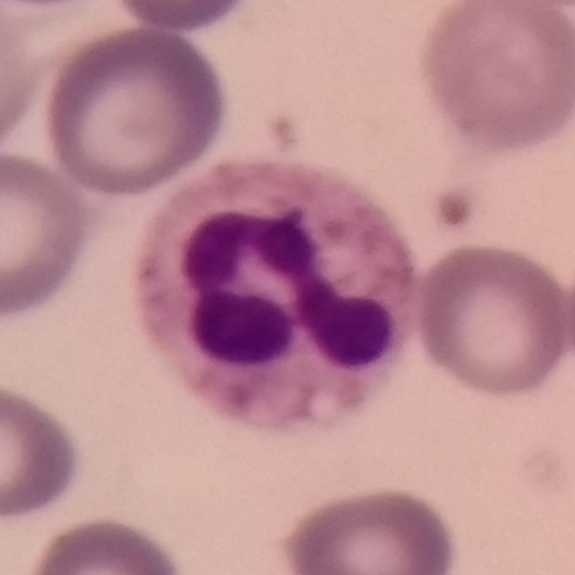 Morphological class — neutrophilic granulocyte.

Preparation: Giemsa-stained; peripheral blood film.